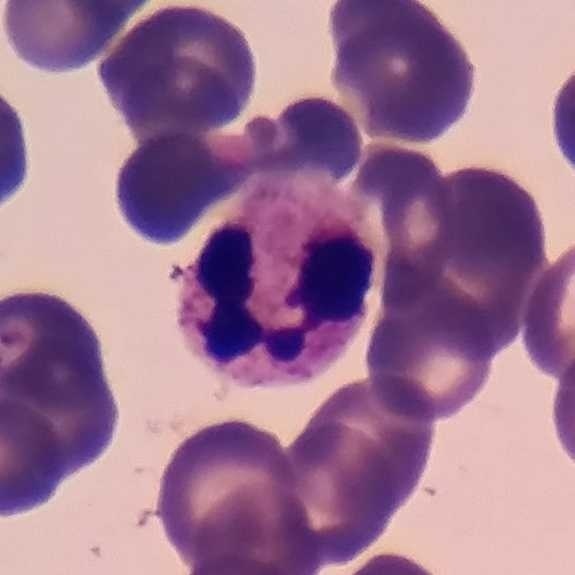

The white blood cell type is neutrophil granulocyte.
Image: Peripheral blood film.